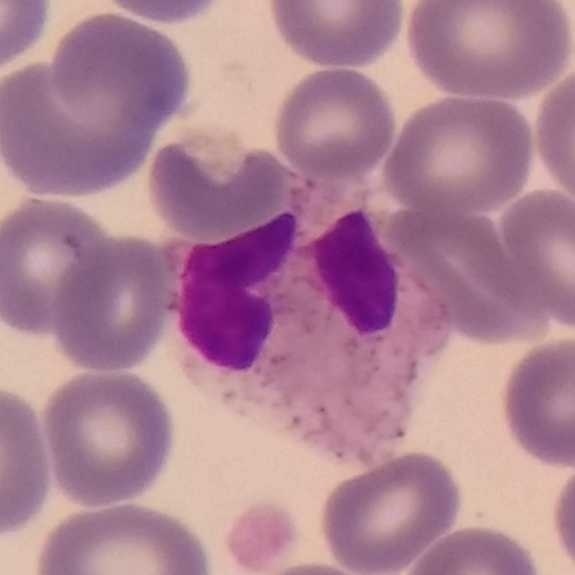Specimen: peripheral blood film.
Morphological class: neutrophil granulocyte. Cropped to one leukocyte.